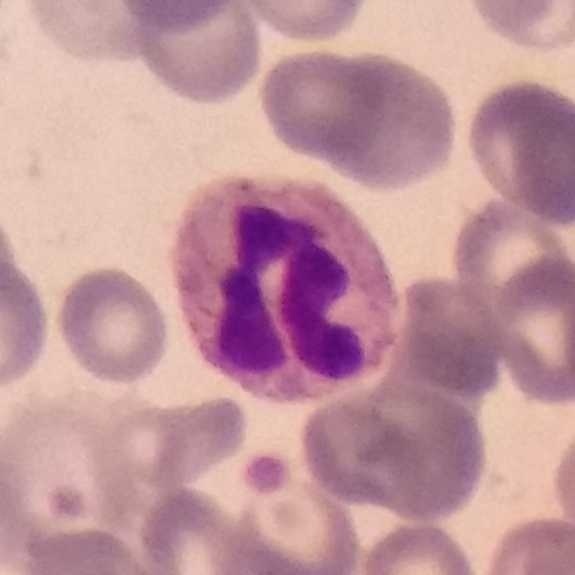Single cell identified as a neutrophilic granulocyte.